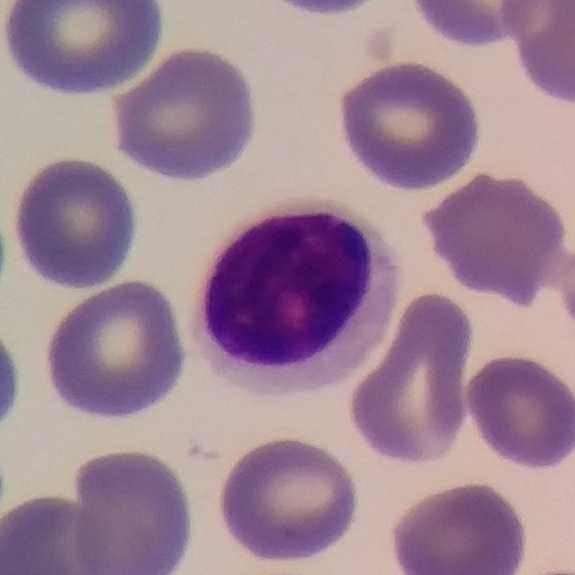 Context: 100× magnification. Peripheral blood smear. Image size 575×575.
Single cell identified as a lymphocyte.